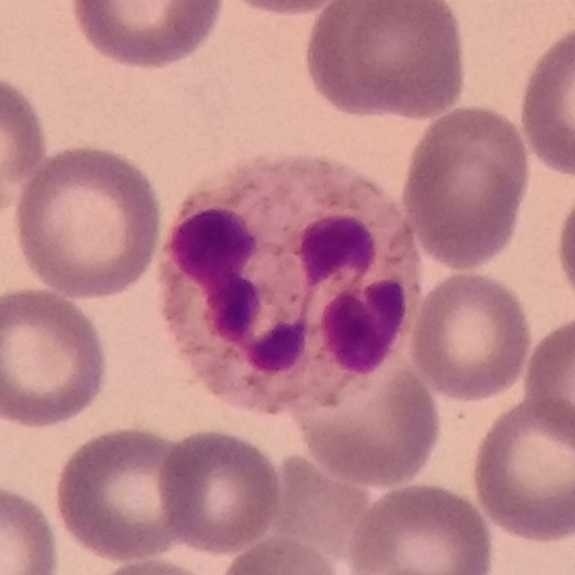Acquisition: Peripheral blood smear. The white blood cell type is neutrophil granulocyte.